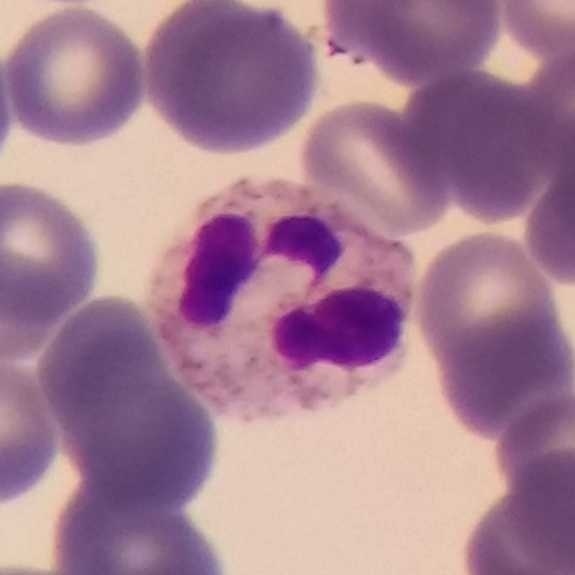
Morphological class = neutrophil.
Peripheral blood film.